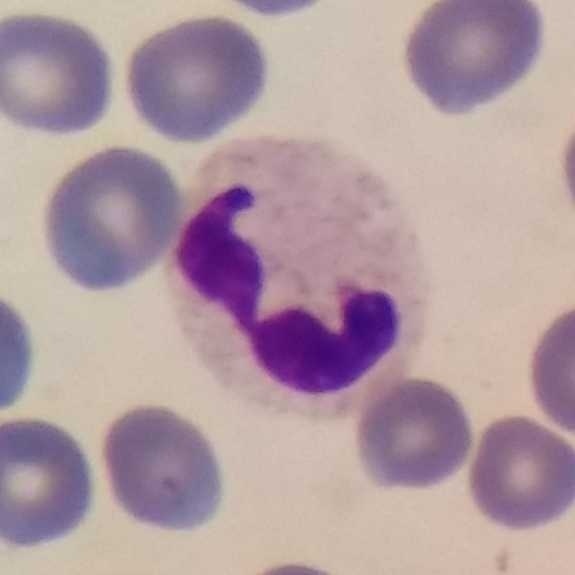Neutrophil granulocyte.
Preparation: Peripheral blood smear.